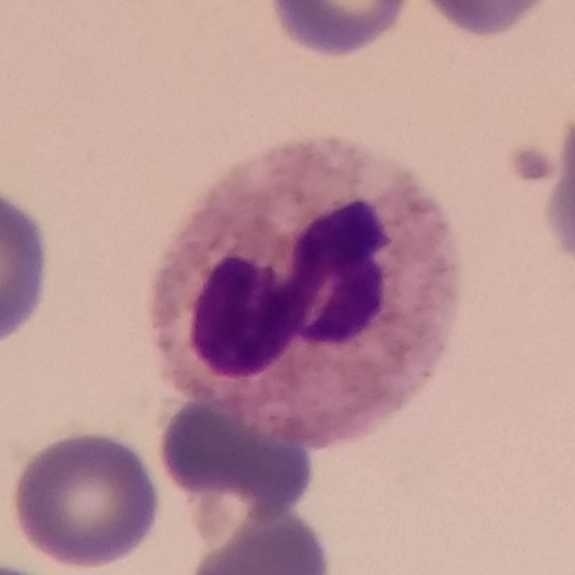 Morphology consistent with a neutrophil granulocyte.